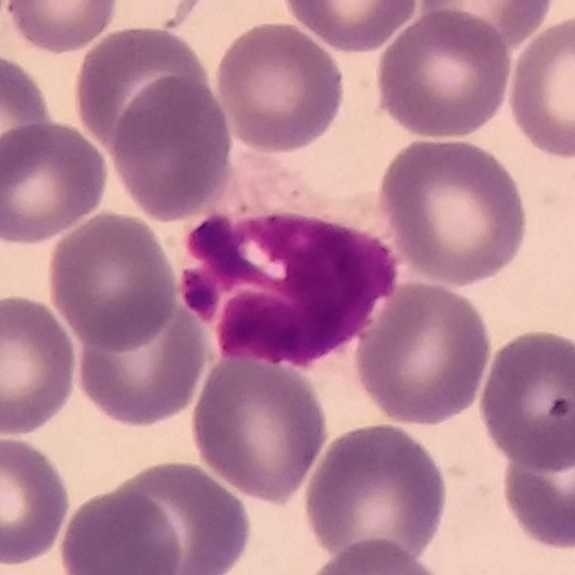
Morphological class: lymphocyte.

Acquisition: Peripheral blood film.